Peripheral blood film
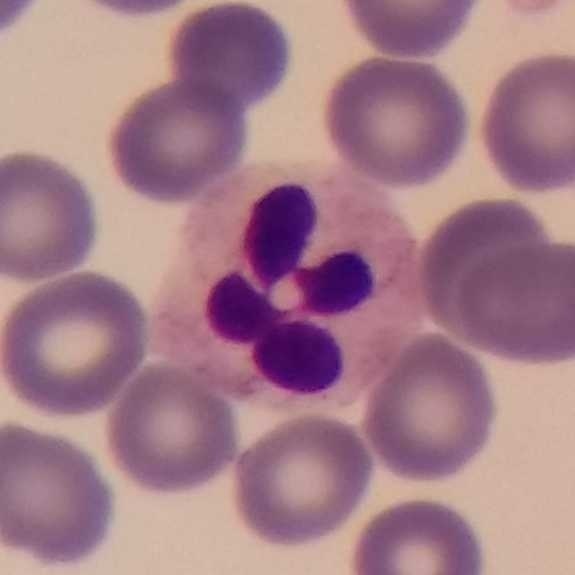
Single cell identified as a neutrophilic granulocyte.